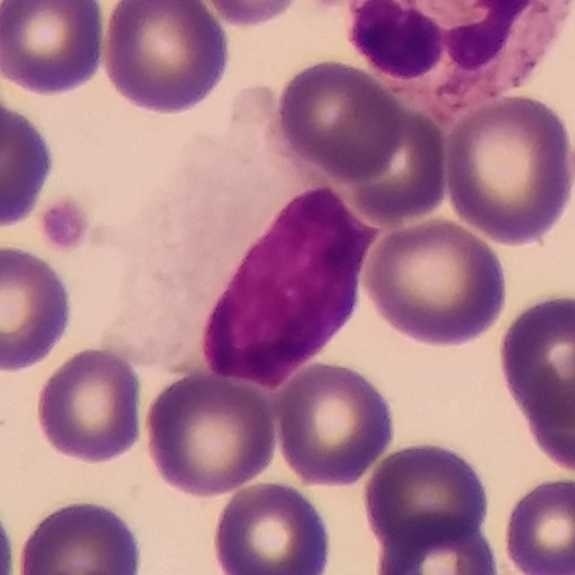 Context: Peripheral blood smear. Q: Which type of white blood cell is this?
A: It is a lymphocyte.